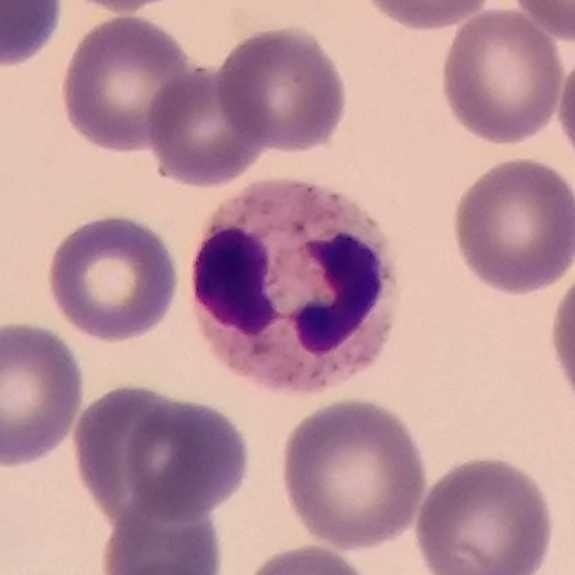

Cell — neutrophil granulocyte. Acquisition: Peripheral blood film.